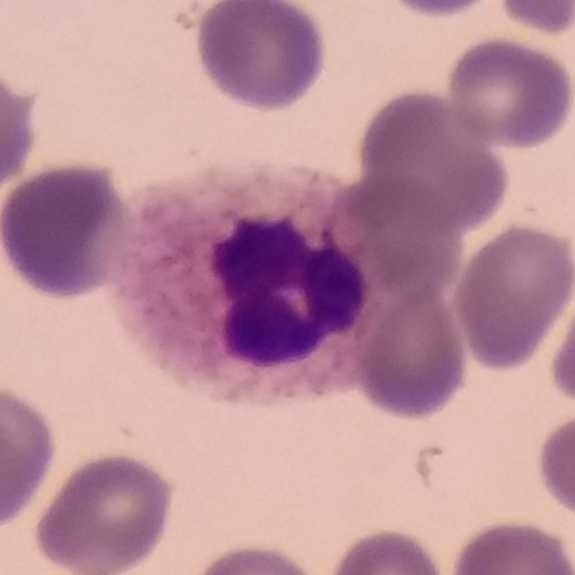
Cell: neutrophilic granulocyte.